Peripheral blood smear
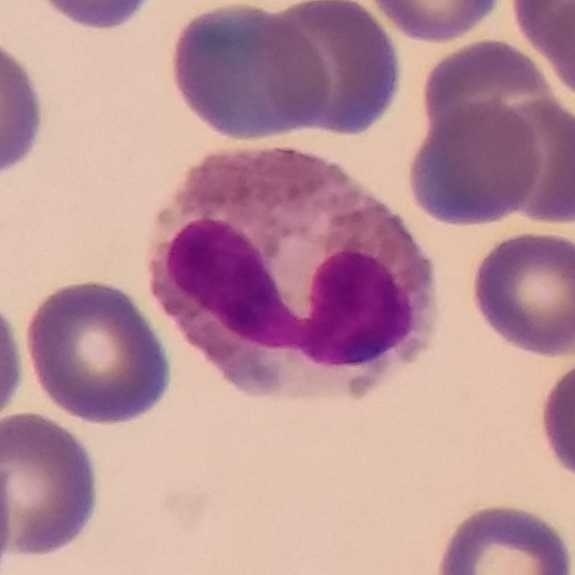
Q: Which cell type is shown here?
A: This is an eosinophil.